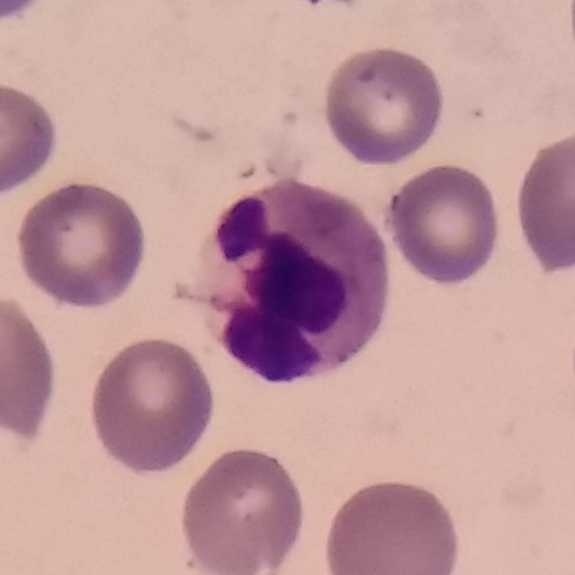
The cell is neutrophil.

Peripheral blood smear.